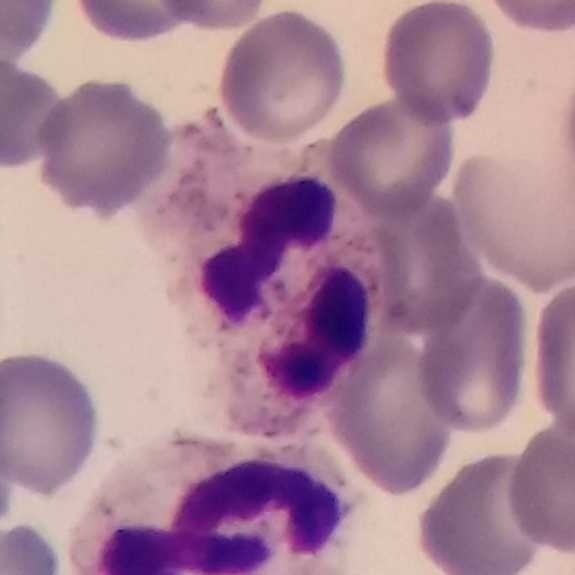 Acquisition: Smartphone camera mounted on the microscope eyepiece · peripheral blood smear · single-cell crop.

Q: Which cell type is shown here?
A: This is a neutrophil.